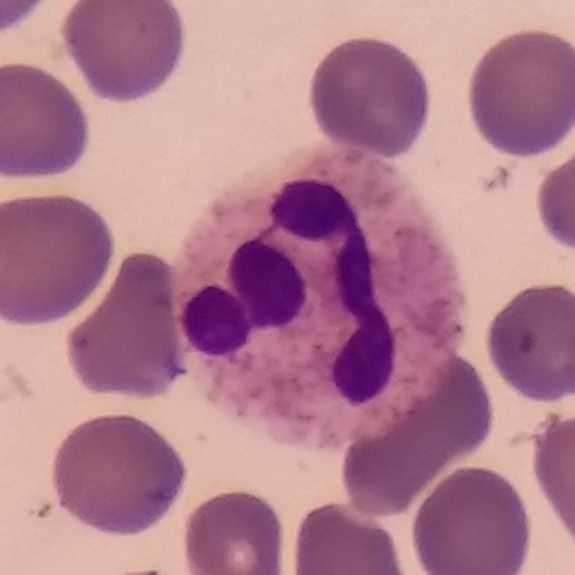 Q: Which type of white blood cell is this?
A: This is a neutrophil granulocyte.